Giemsa-stained; peripheral blood film; magnification 100×.
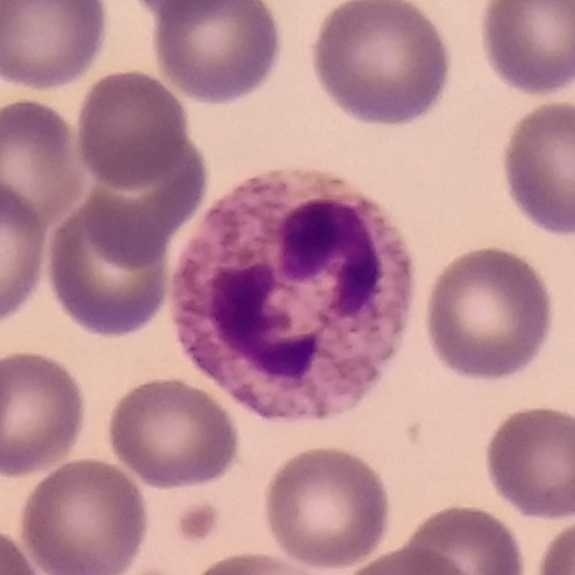

Q: Which type of white blood cell is this?
A: It is a neutrophilic granulocyte.